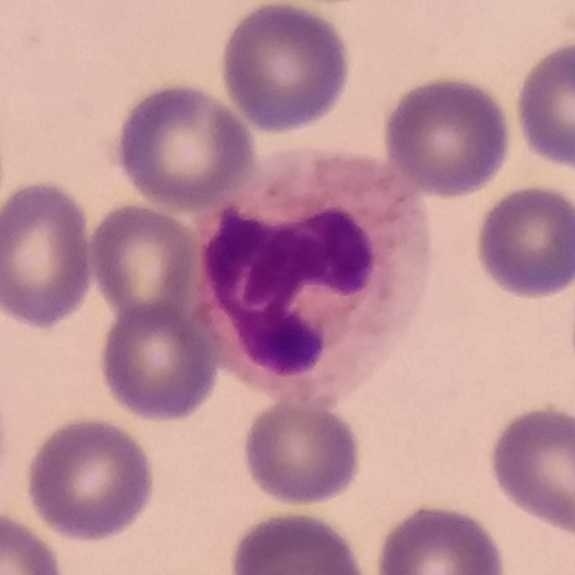 Acquisition: Peripheral blood film.

White blood cell type: neutrophil.